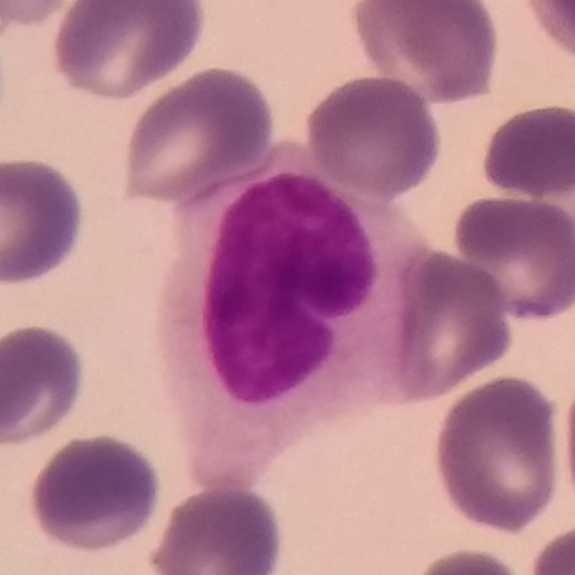 Context: Giemsa-stained · imaged at 100× · peripheral blood film.
The morphological class is lymphocyte.